Peripheral blood smear:
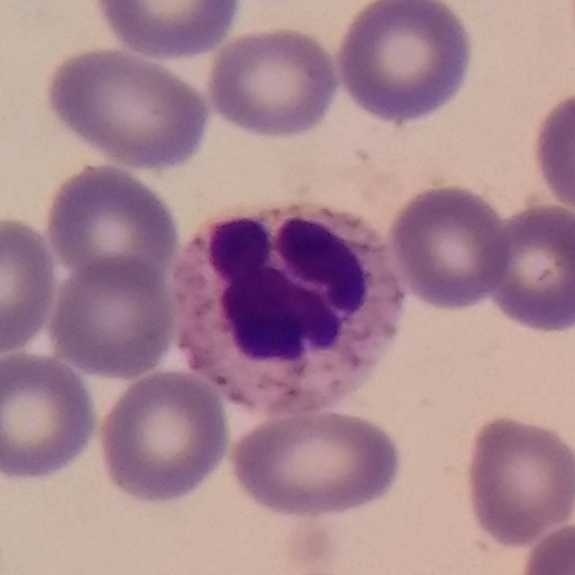This is a neutrophilic granulocyte.